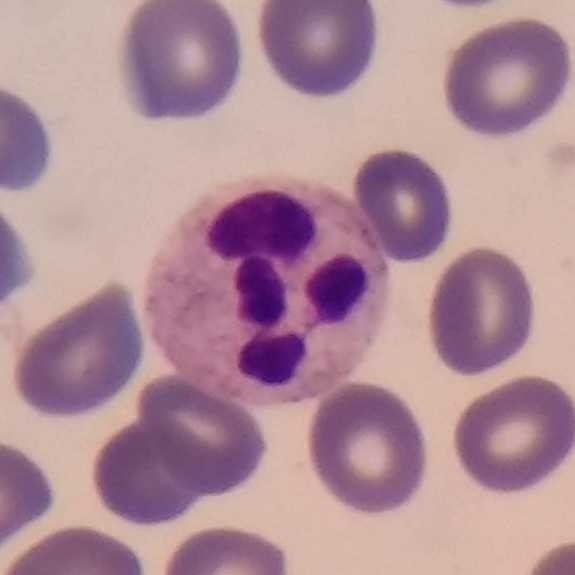 Single-cell crop from a peripheral blood smear: neutrophil.